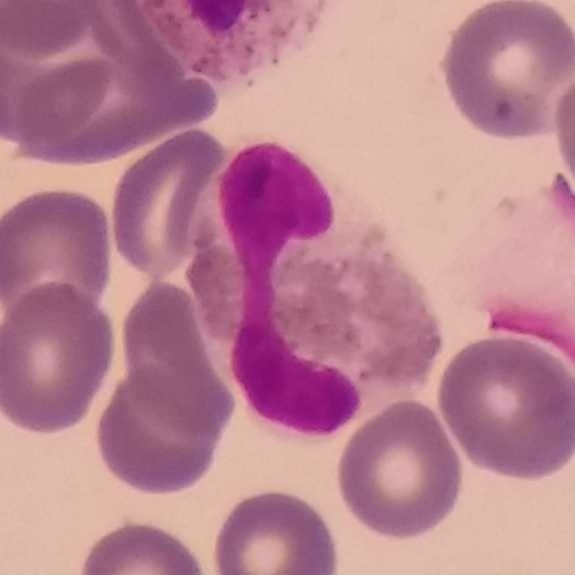Eosinophilic granulocyte.

Context: Cropped to one leukocyte. Peripheral blood smear.